Peripheral blood smear. Imaged at 100× — 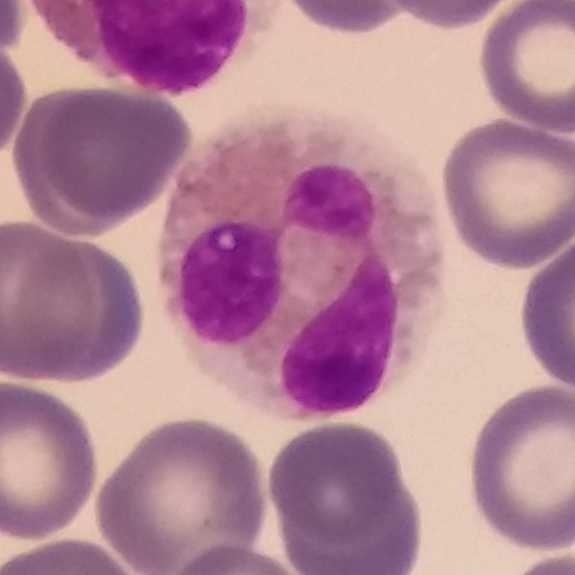 {"cell_type": "eosinophil"}